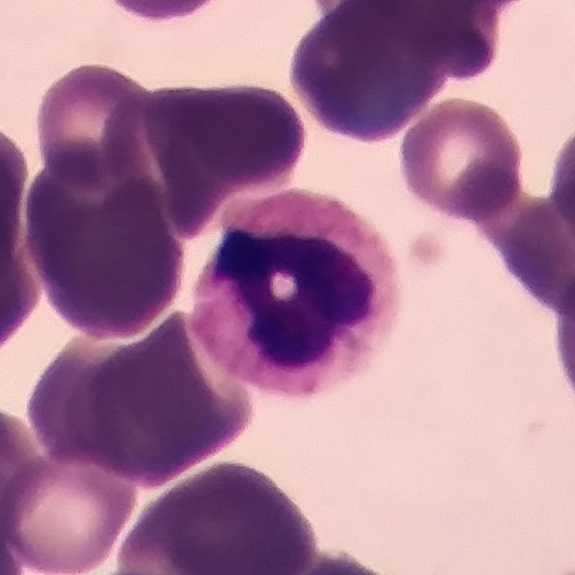Classification = neutrophil granulocyte.

Context: Peripheral blood film · phone-camera image taken through the microscope ocular · 575 by 575 pixels.